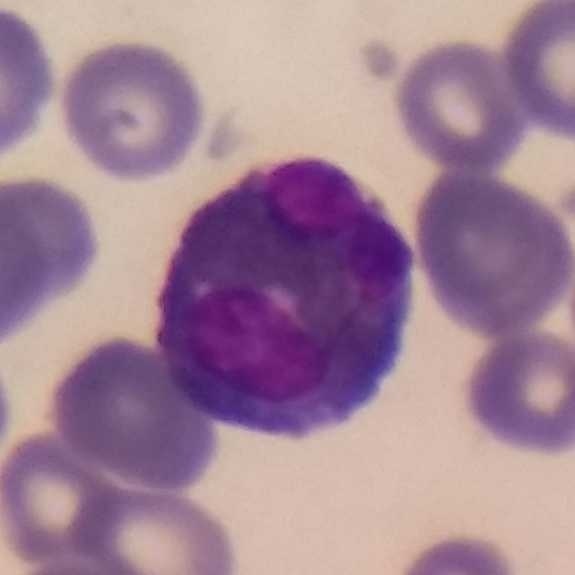

The white blood cell type is eosinophil.